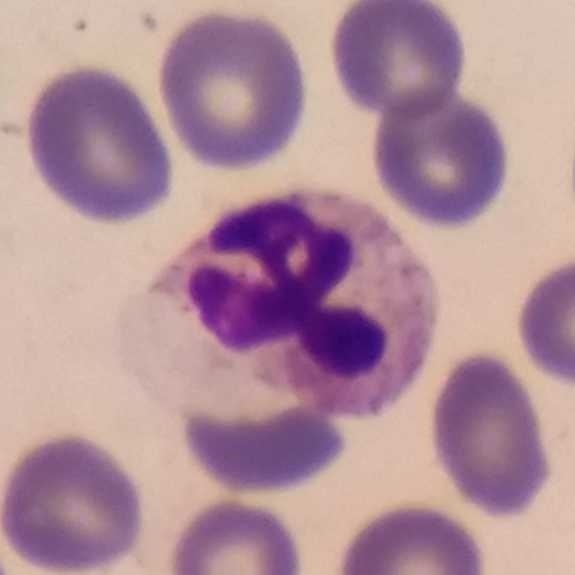

Peripheral blood film · 575×575 px.

Q: What type of cell is this?
A: Neutrophil granulocyte.